Peripheral blood smear
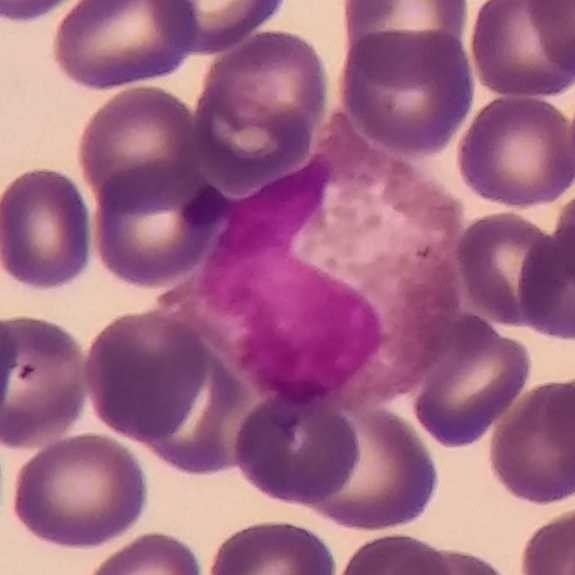

The white blood cell in this image is an eosinophil.